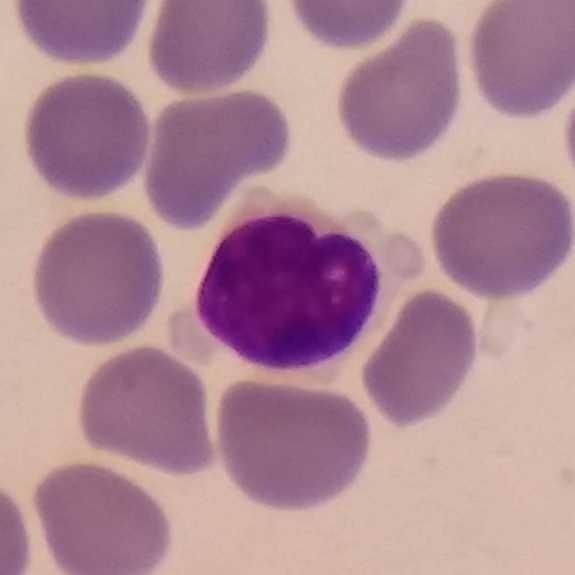

Preparation: Peripheral blood film.

Q: What is shown here?
A: Lymphocyte.